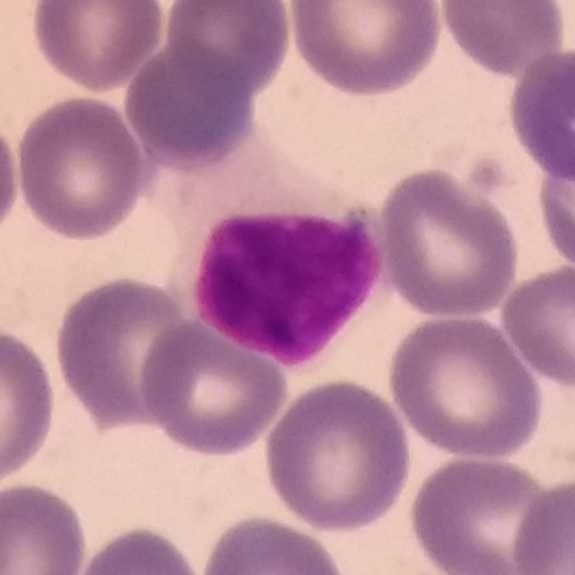 Image: Peripheral blood film.

Lymphocyte.